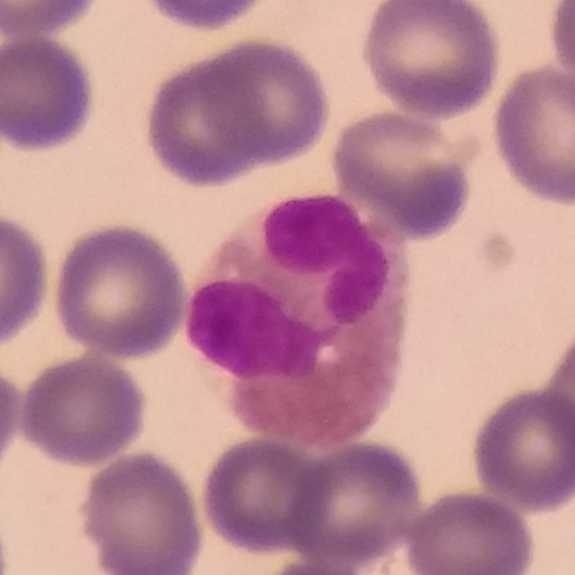White blood cell type = eosinophilic granulocyte.